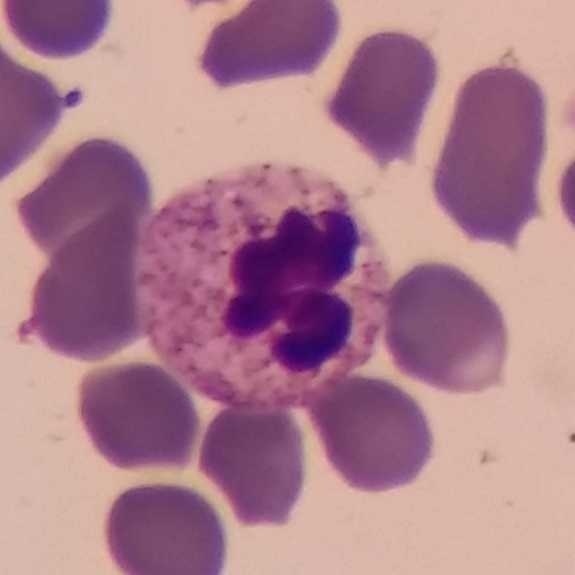
Q: What is the morphological classification of this cell?
A: It is a neutrophil granulocyte.